Peripheral blood film. Single-cell field. Magnification 100×
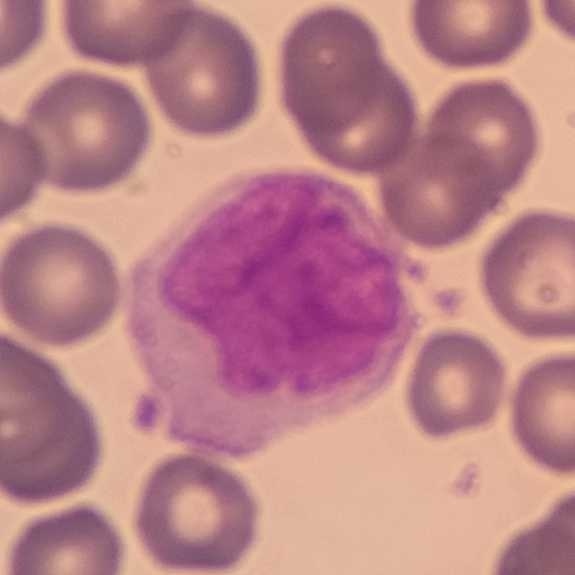 White blood cell type: monocyte.